Peripheral blood smear
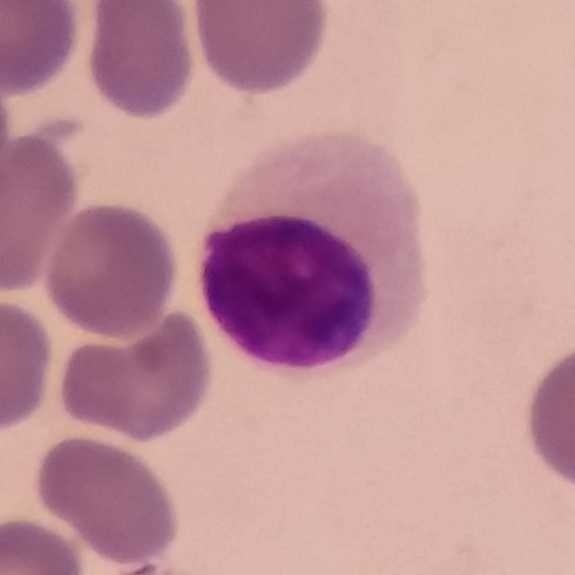 Identified as a lymphocyte.